Peripheral blood smear:
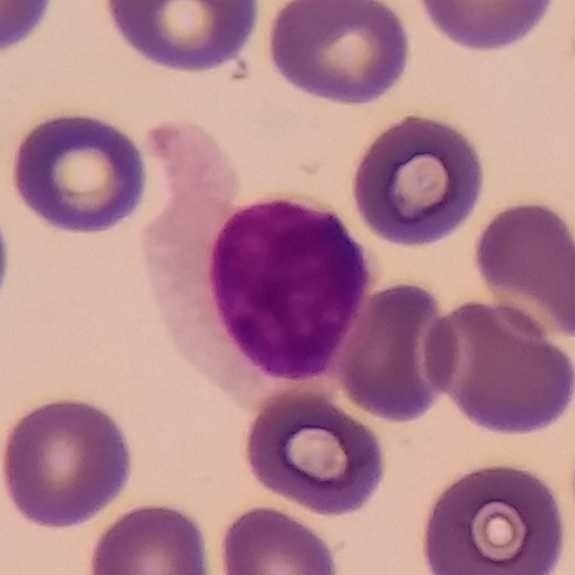

Q: What is the morphological classification of this cell?
A: A lymphocyte.